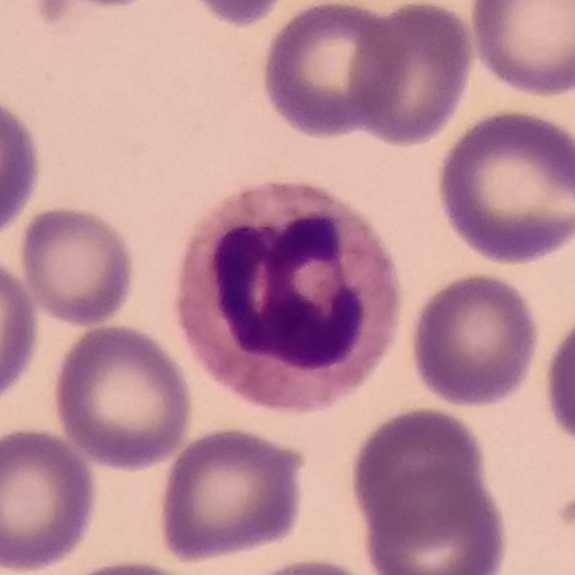

Context: 100× magnification; smartphone photomicrograph; peripheral blood smear.

The cell is neutrophilic granulocyte.